Peripheral blood film; 575×575
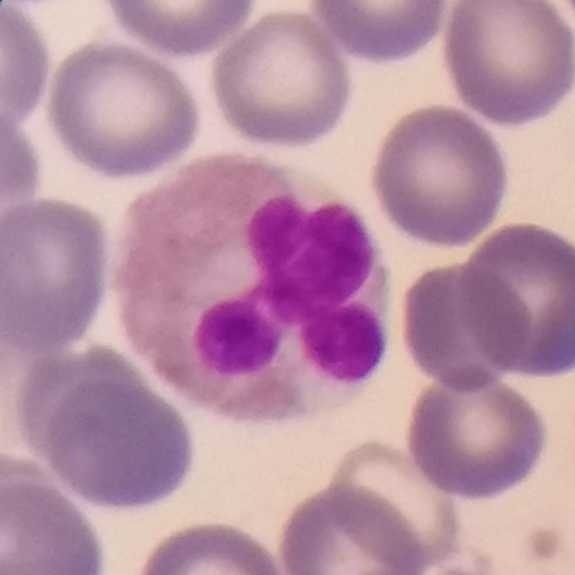Specimen: peripheral blood film.
White blood cell type: eosinophil.
Lineage: myeloid.